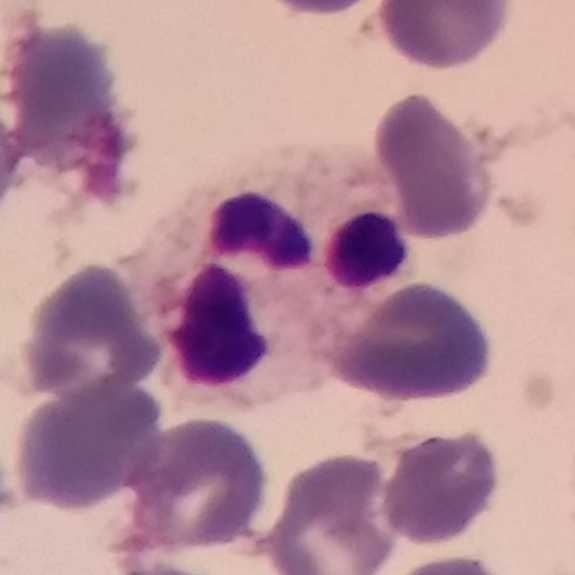Cell type: neutrophil. Acquisition: Giemsa stain; 575×575; peripheral blood smear.